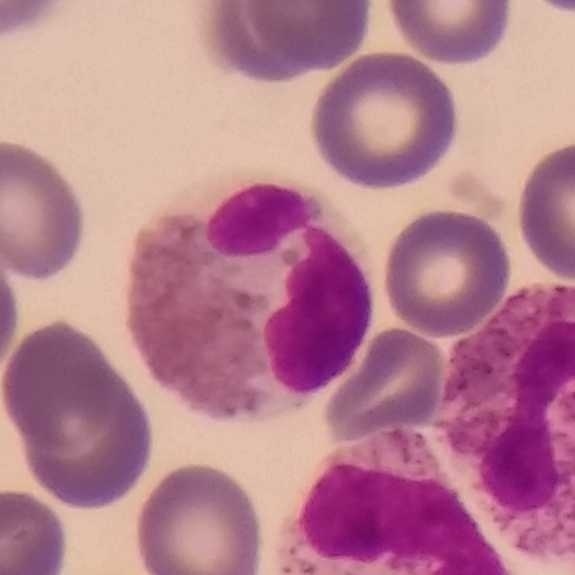
Image: Phone-camera image taken through the microscope ocular; peripheral blood film; Giemsa stain.

{"cell_type": "eosinophil", "lineage": "myeloid"}